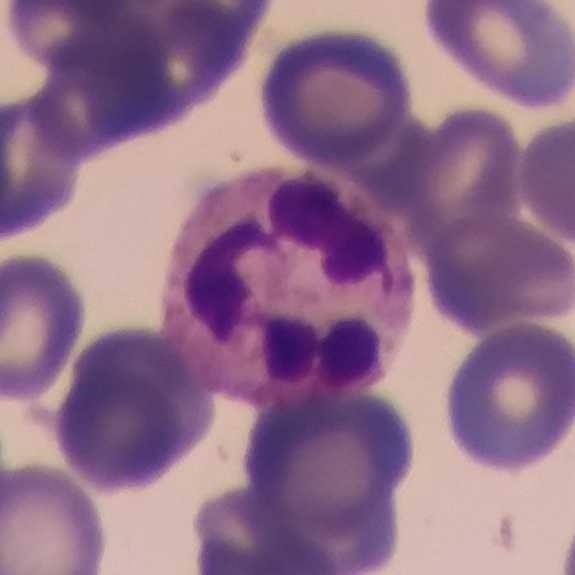
{"cell_type": "neutrophil"}